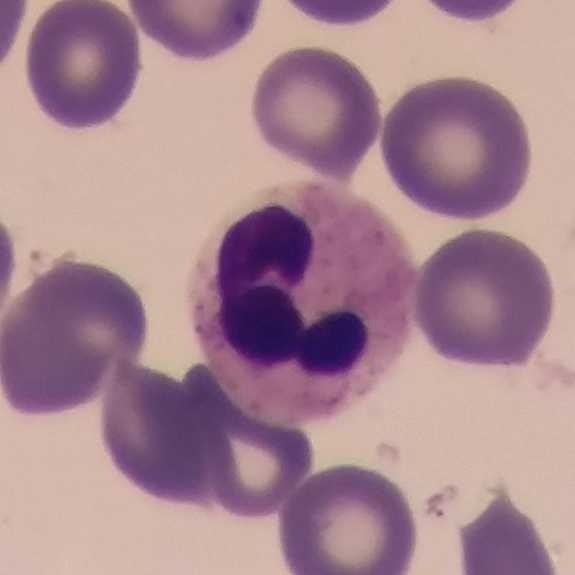
White blood cell from a peripheral blood smear: neutrophil granulocyte.